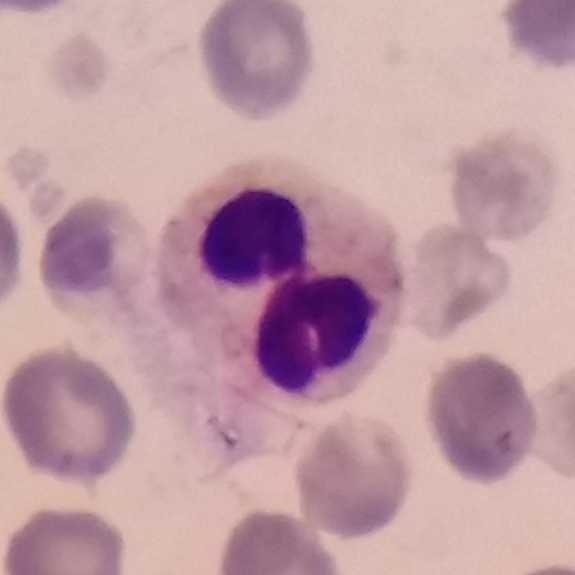Peripheral blood smear.

The white blood cell in this image is a neutrophilic granulocyte.